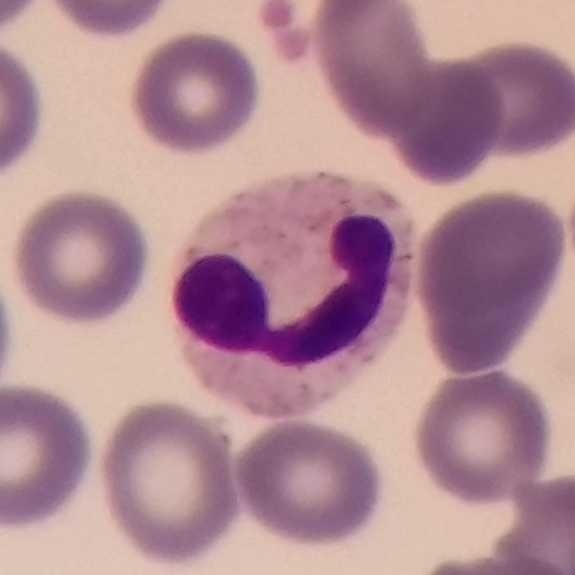 Single cell identified as a neutrophil granulocyte.